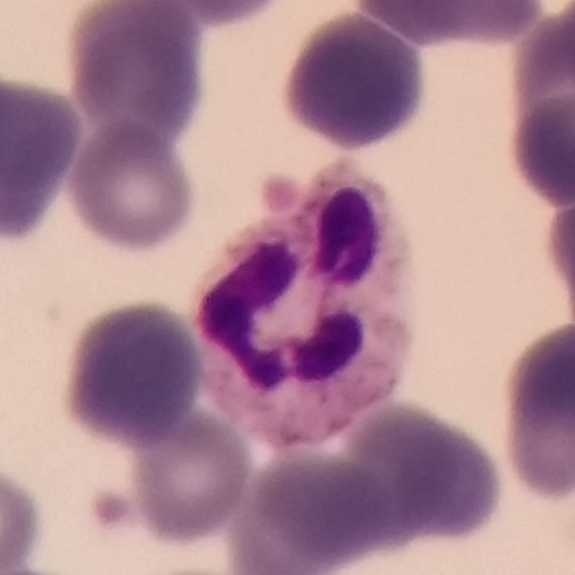
The cell type is neutrophilic granulocyte.

Preparation: Peripheral blood film.